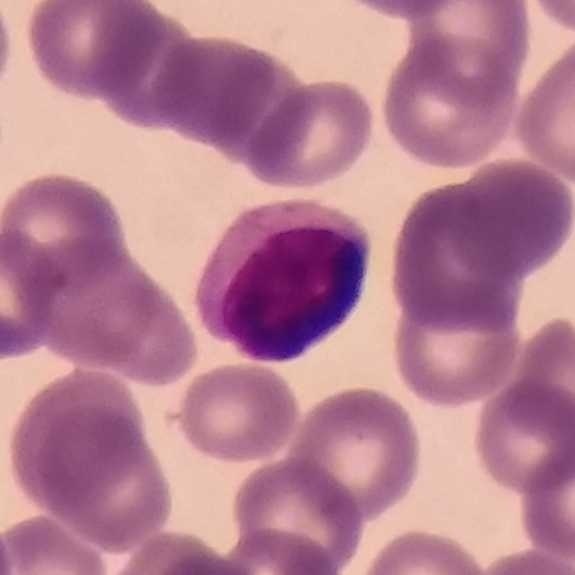
Cell type: lymphocyte.

Context: Peripheral blood film; 575×575 px; Giemsa-stained.